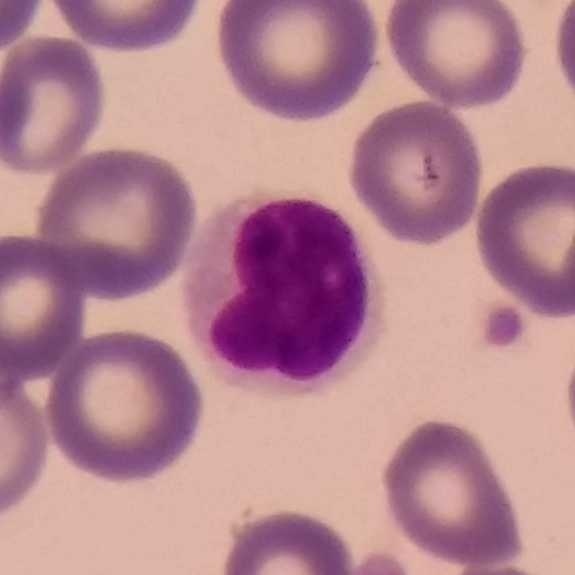Classification: lymphocyte.
Preparation: Peripheral blood film.